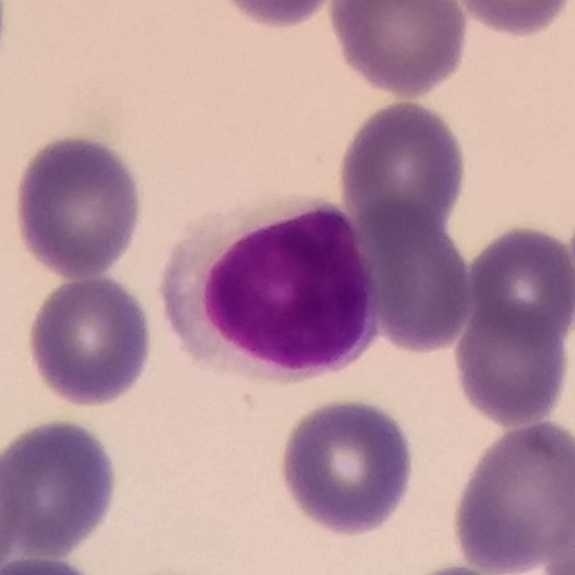
Lymphocyte.